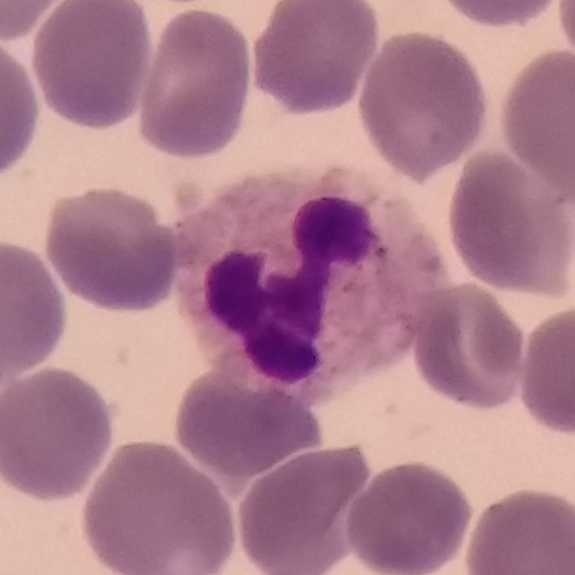
Impression → neutrophil.